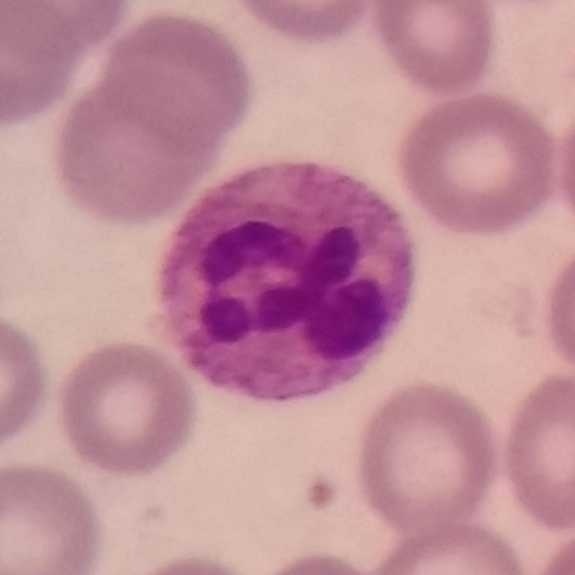 Preparation: Peripheral blood smear.

Cell = neutrophil granulocyte.